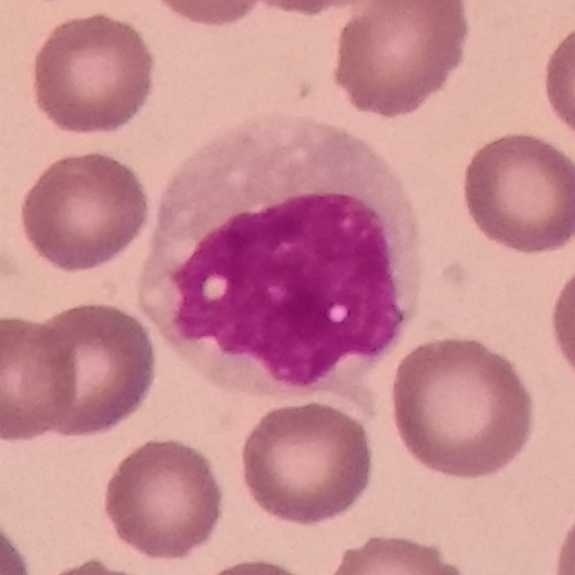

Specimen: peripheral blood film.
White blood cell type: monocyte.